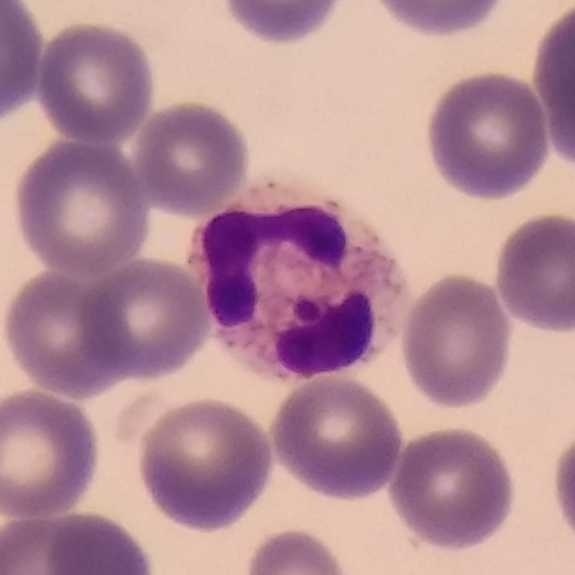
From a peripheral blood smear: a neutrophilic granulocyte.